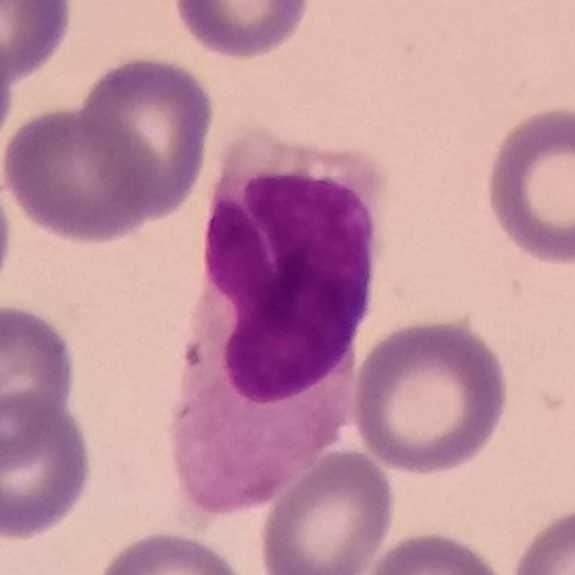
Showing a monocyte.

Context: Peripheral blood smear.